Peripheral blood film. Imaged at 100×.
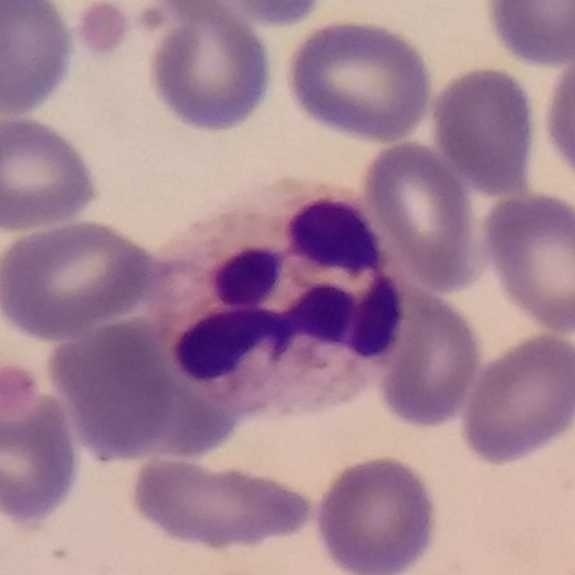 Specimen: peripheral blood film.
Morphological class: neutrophil.
Lineage: myeloid.